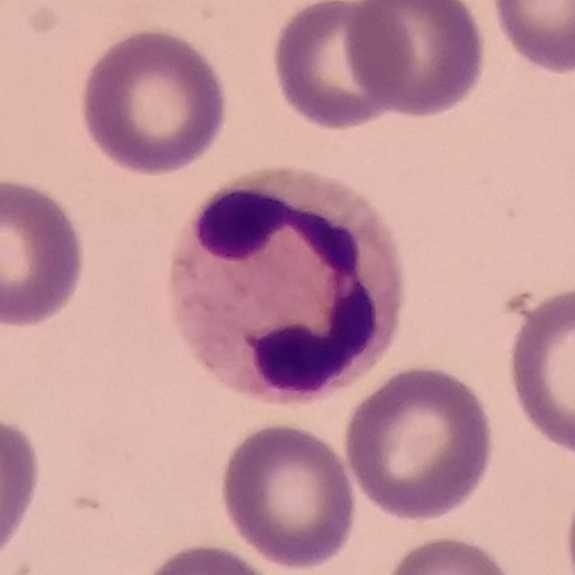 Peripheral blood film, single cell — neutrophil granulocyte.